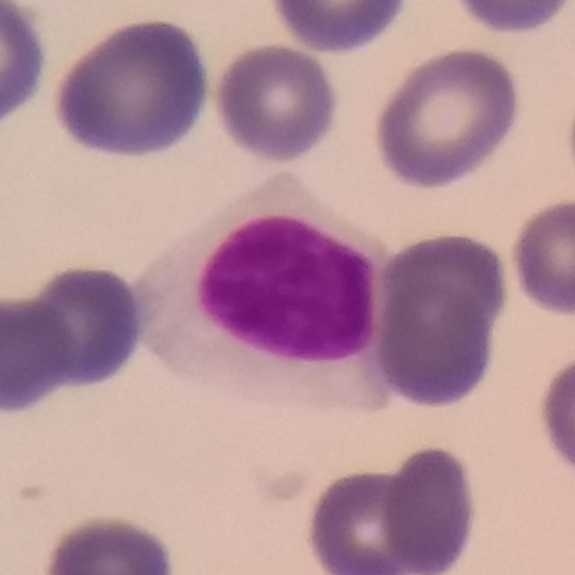
This is a lymphocyte.

Context: Peripheral blood smear.